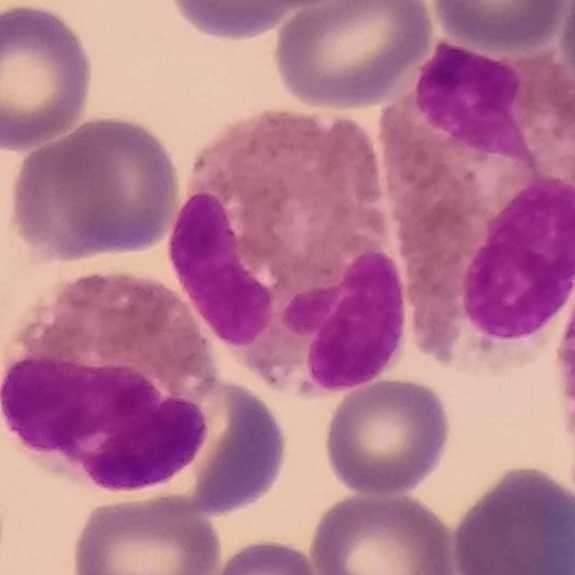
Morphological class — eosinophil.